Peripheral blood smear — 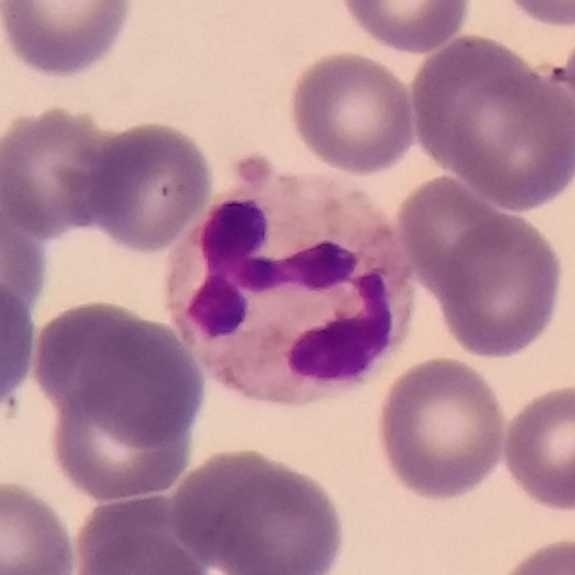Q: What type of cell is this?
A: This is a neutrophil.